Giemsa-stained. Peripheral blood film: 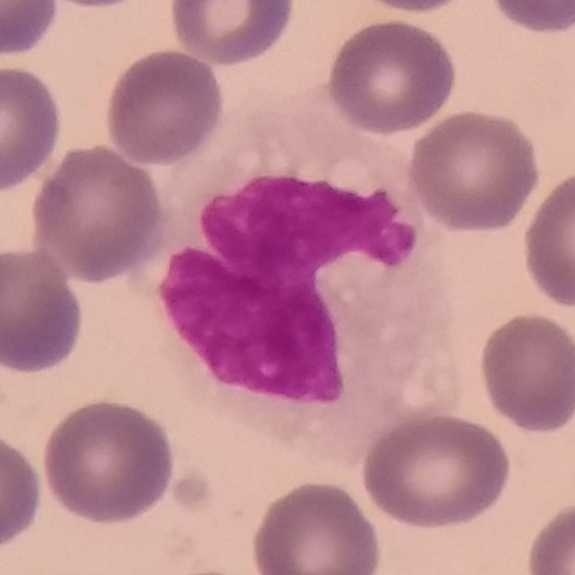This is a monocyte.